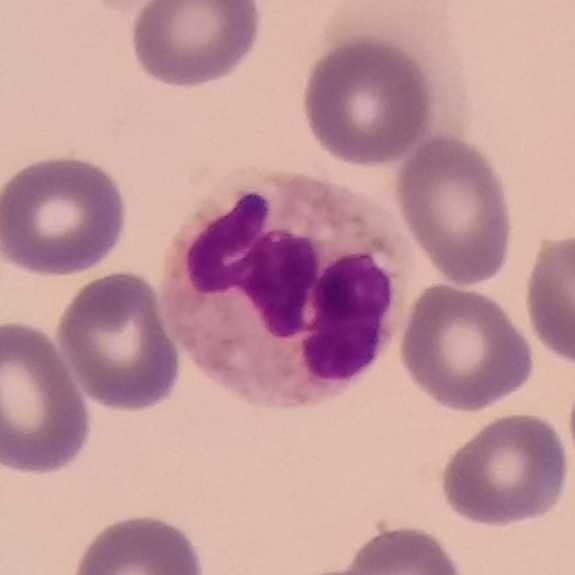Q: Which type of white blood cell is this?
A: This is a neutrophilic granulocyte. Image: Peripheral blood film. Magnification 100×.